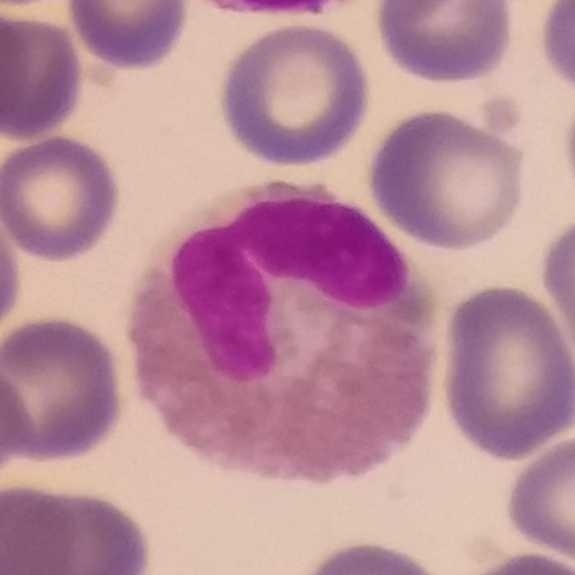 Q: What type of cell is this?
A: This is an eosinophil. Image: Peripheral blood smear.